Peripheral blood film: 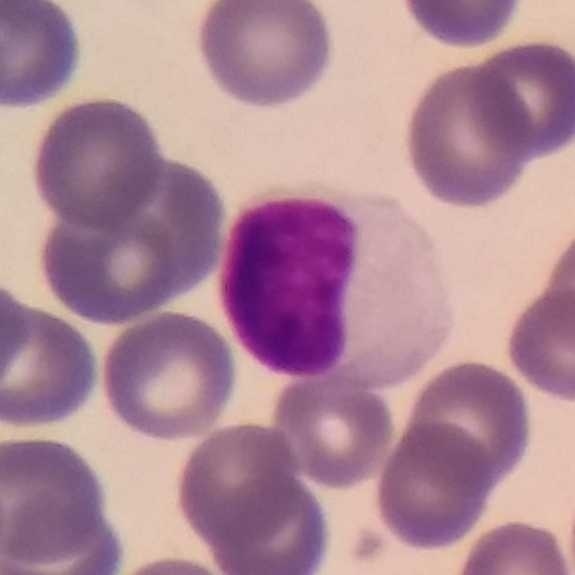Cell type: lymphocyte.